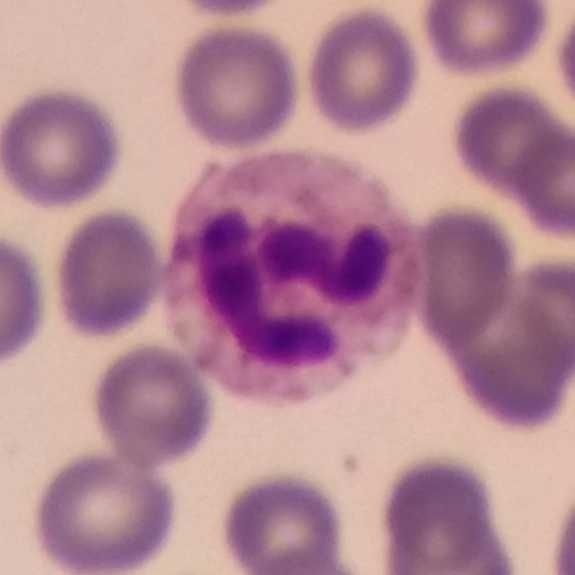The cell shown is a neutrophil.

Peripheral blood smear · 100× magnification · photographed through a light microscope with a smartphone camera.